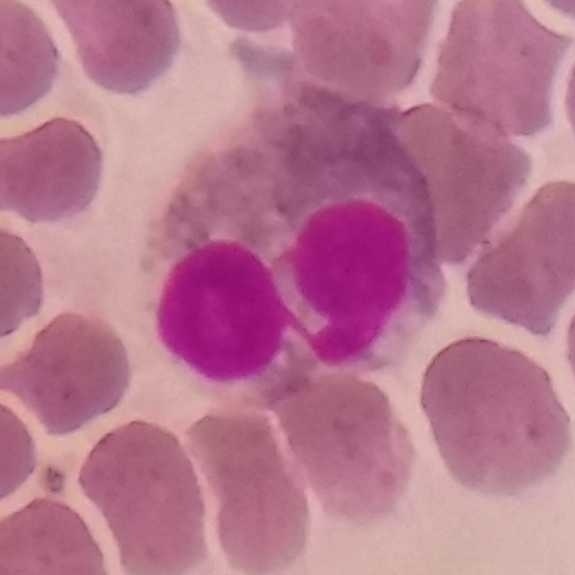 The classification is eosinophil.
Peripheral blood film.